Peripheral blood film · 100× magnification: 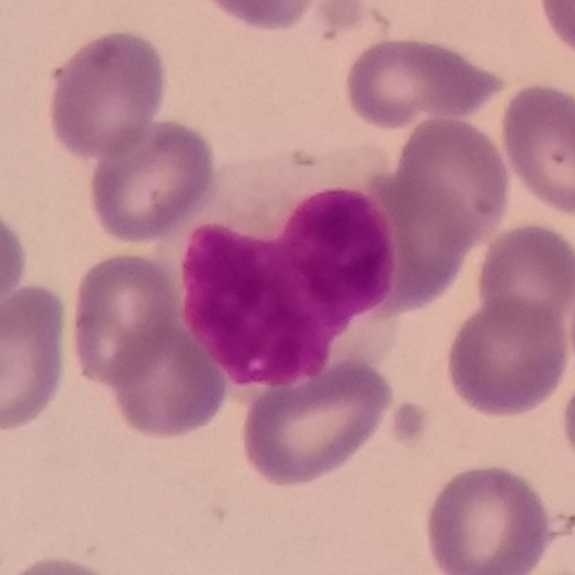
Cell: monocyte.